Peripheral blood smear — 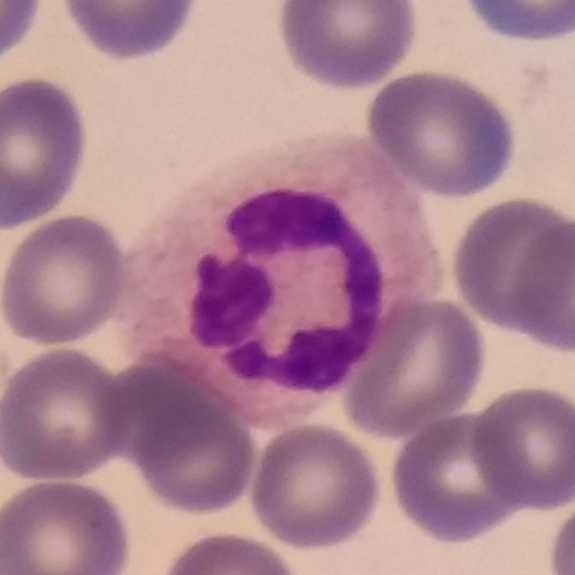
Cell — neutrophil.